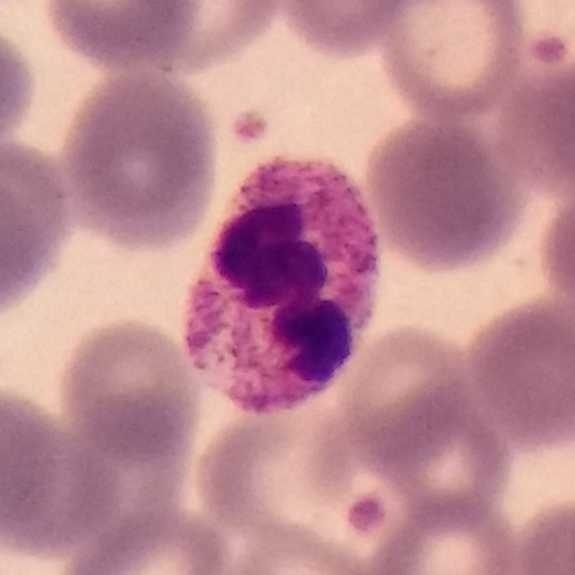
{"cell_type": "neutrophil granulocyte", "lineage": "myeloid"} Image: 575 by 575 pixels · peripheral blood smear.